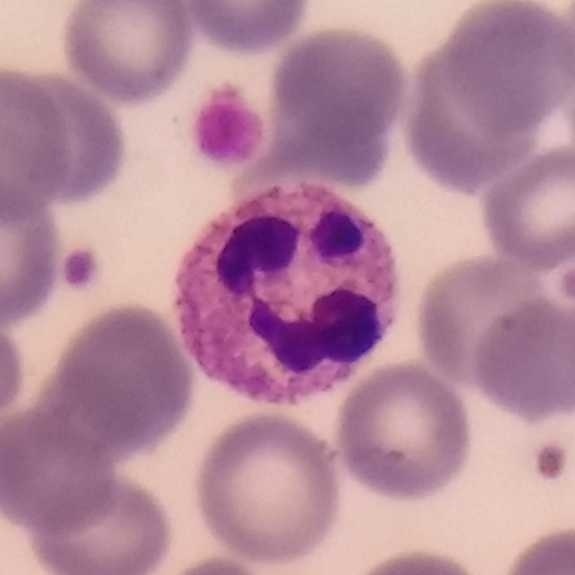 Morphology consistent with a neutrophil granulocyte.

Acquisition: Peripheral blood film · 575×575.